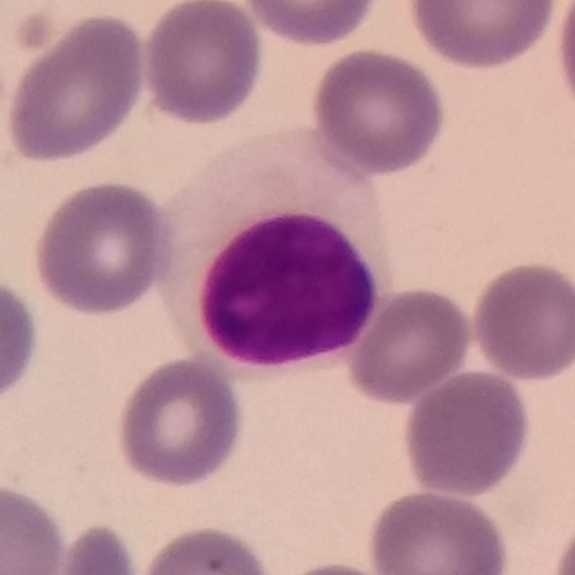

{"cell_type": "lymphocyte", "lineage": "lymphoid"}

Peripheral blood smear. Cropped to one leukocyte.